Peripheral blood smear:
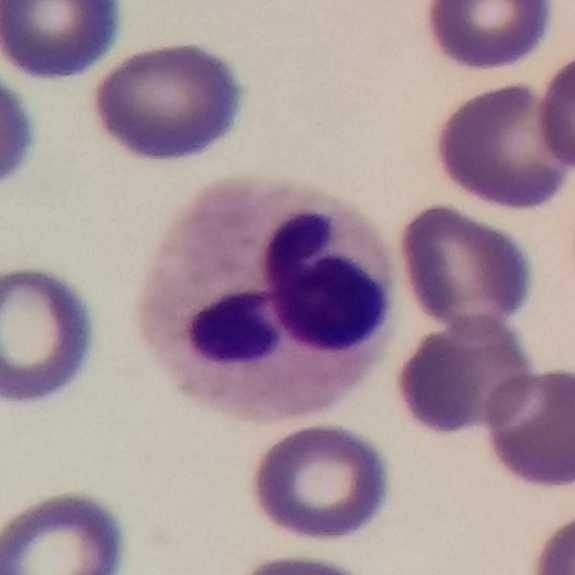
Specimen: peripheral blood film.
White blood cell type: neutrophil granulocyte.
Lineage: myeloid.